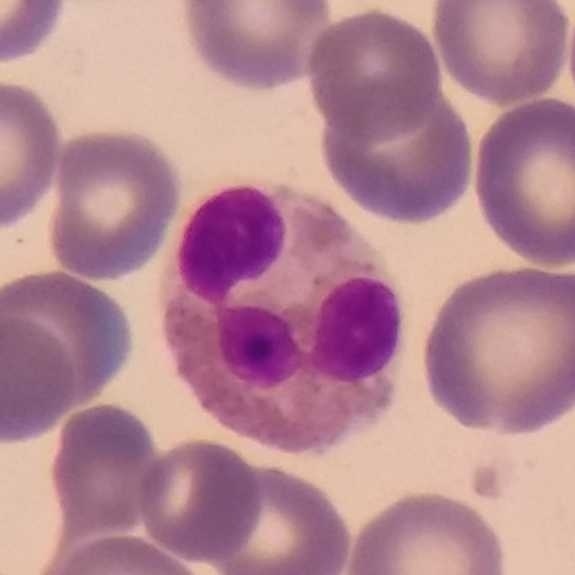 Cell: eosinophilic granulocyte.